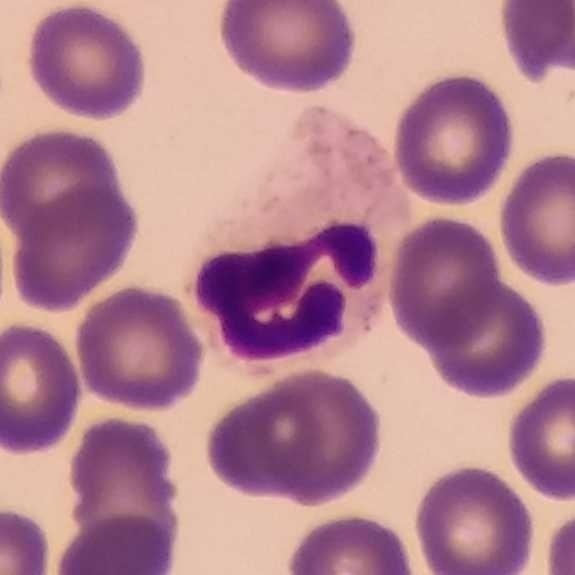

Q: What is the morphological classification of this cell?
A: A neutrophilic granulocyte.